575×575; magnification 100×; peripheral blood film:
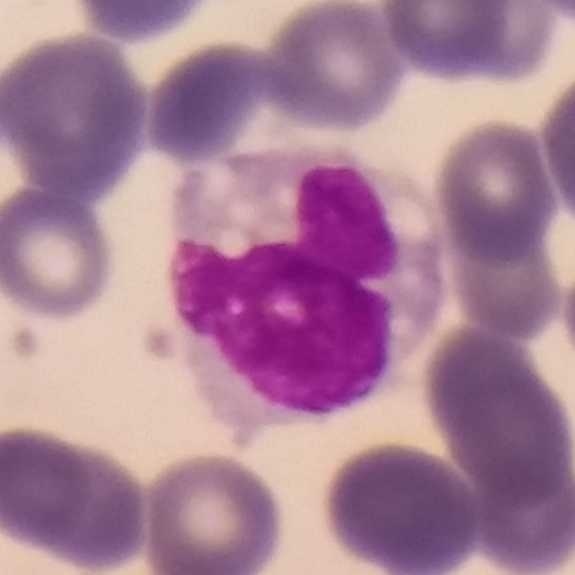 The classification is monocyte.